Peripheral blood film; Giemsa stain:
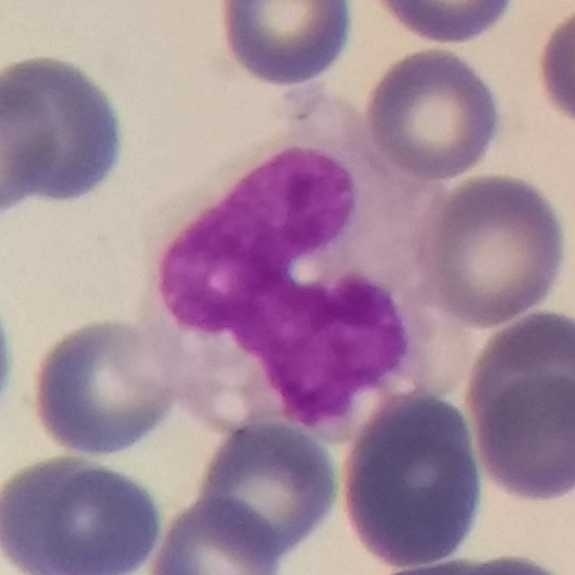 Cell = monocyte.